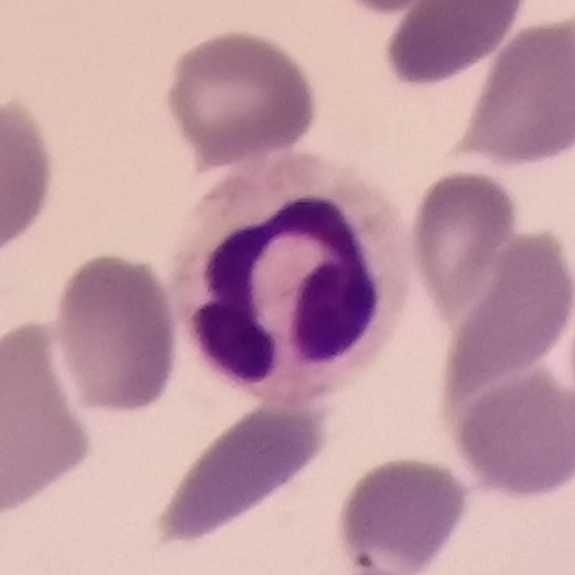 Image: Peripheral blood film.
This is a neutrophilic granulocyte.